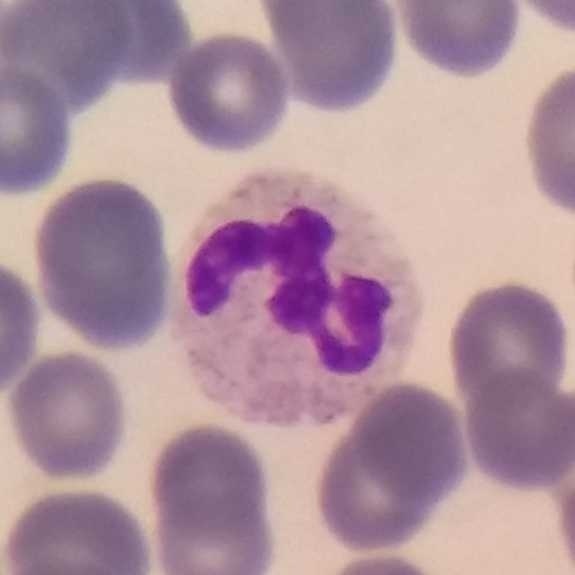

Peripheral blood smear. Single-cell field.
Cell: neutrophil granulocyte.